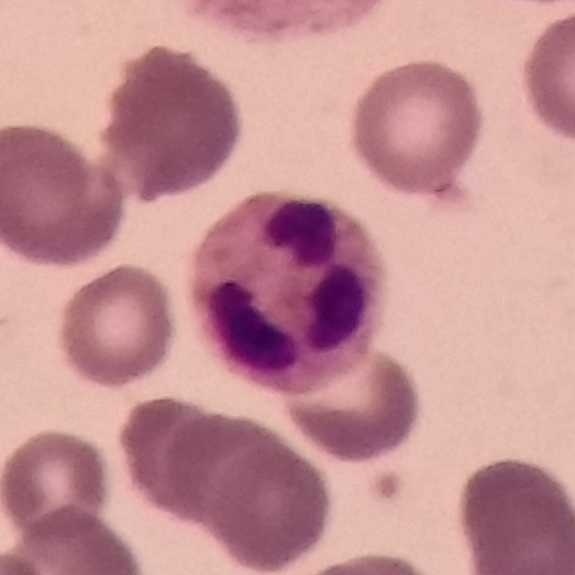 Acquisition: Giemsa stain · peripheral blood smear · single-cell field. White blood cell type = neutrophil.